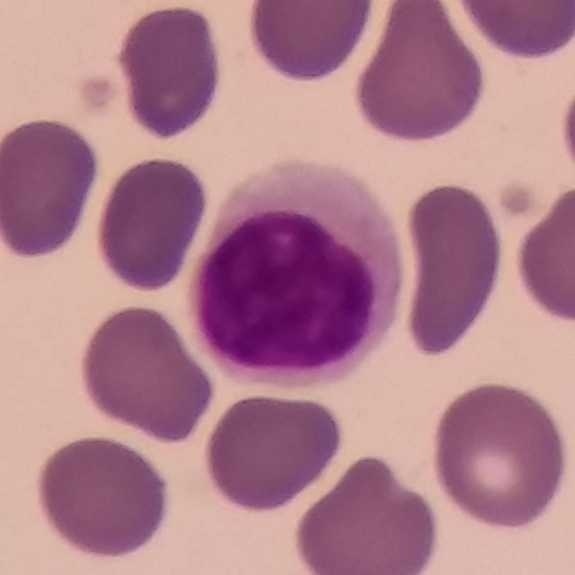
Specimen: peripheral blood film.
Morphological class: lymphocyte.

Preparation: Smartphone camera mounted on the microscope eyepiece; image size 575×575.